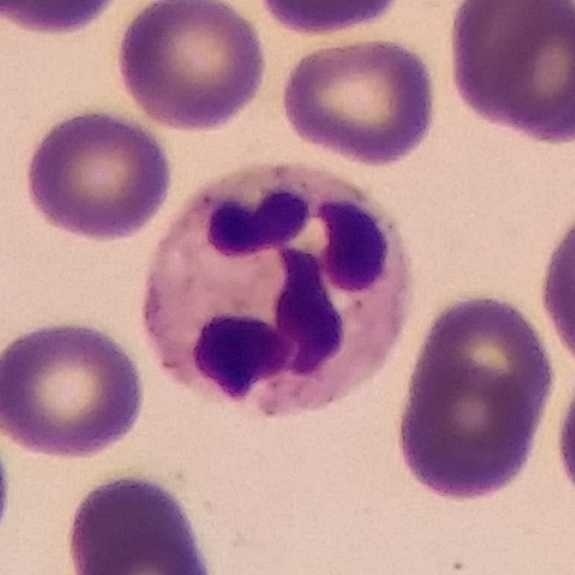 Image: Peripheral blood film. Cropped to one leukocyte. Imaged at 100×.
Impression → neutrophil.